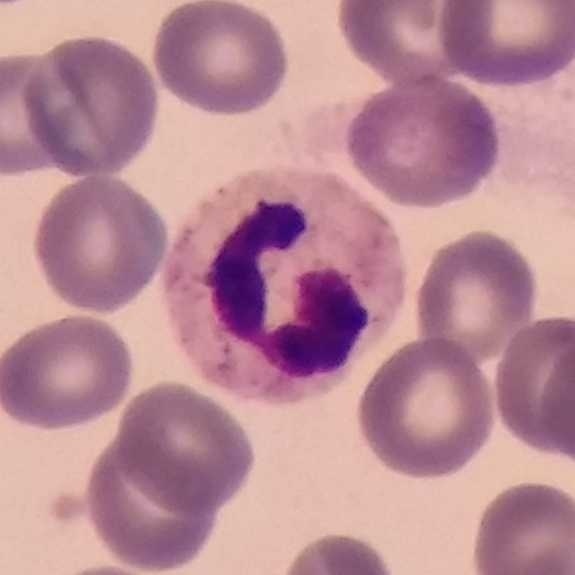
White blood cell from a peripheral blood smear: neutrophil granulocyte.